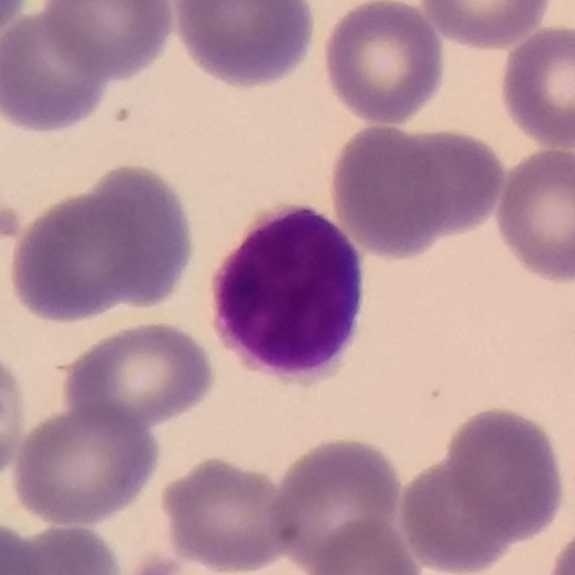

Context: Peripheral blood film · smartphone camera mounted on the microscope eyepiece.

Classification = lymphocyte.